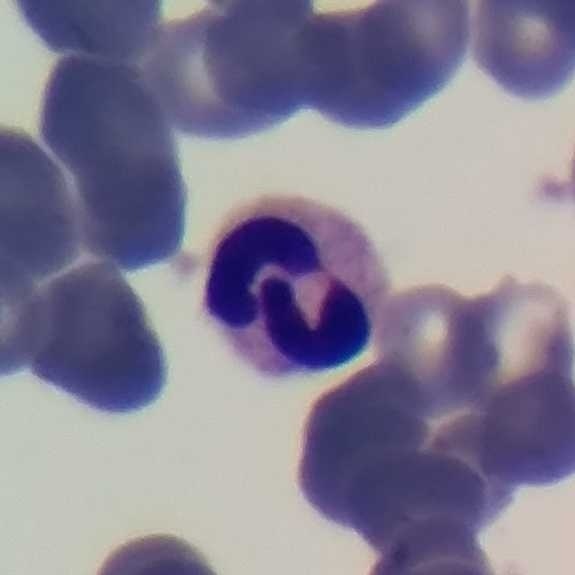
White blood cell type: neutrophil granulocyte.

Preparation: Peripheral blood film. Smartphone photomicrograph.